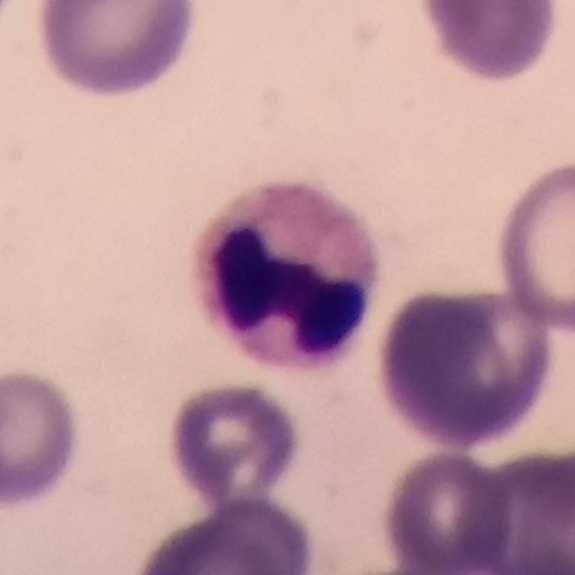

White blood cell type = neutrophil granulocyte.

Preparation: Peripheral blood film.